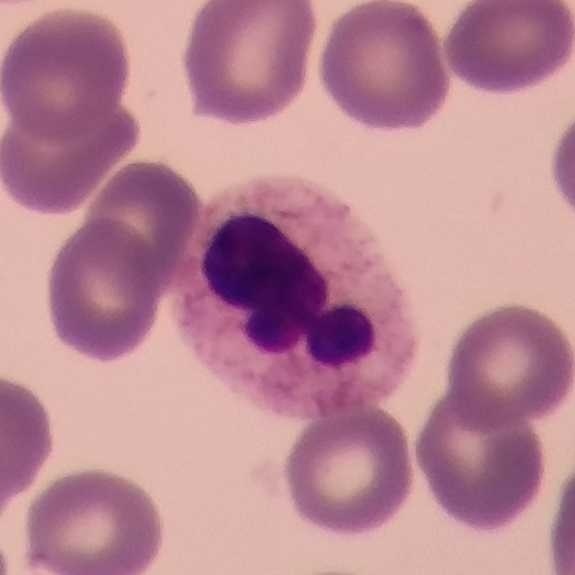Neutrophil granulocyte.